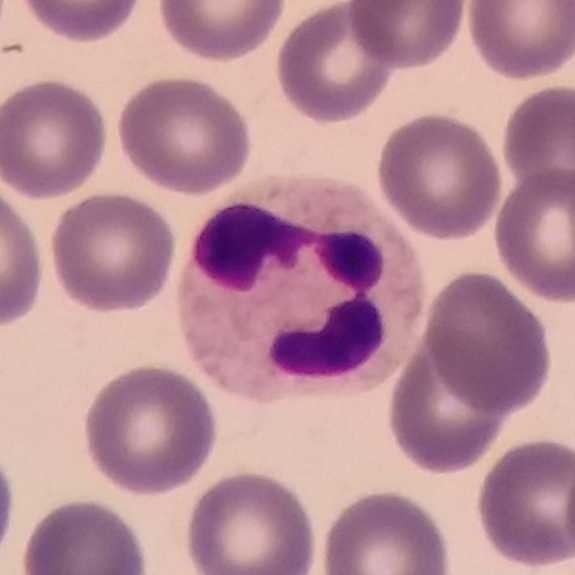

Preparation: Peripheral blood film; phone-camera image taken through the microscope ocular. Q: What cell is this?
A: It is a neutrophilic granulocyte.